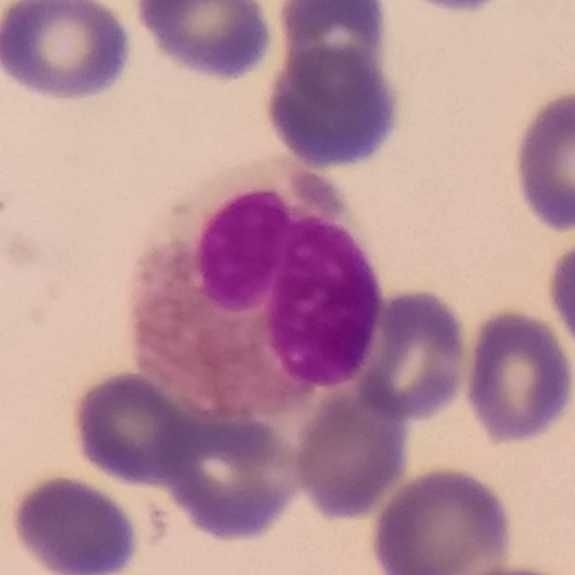

Peripheral blood film. Morphological class = eosinophil.